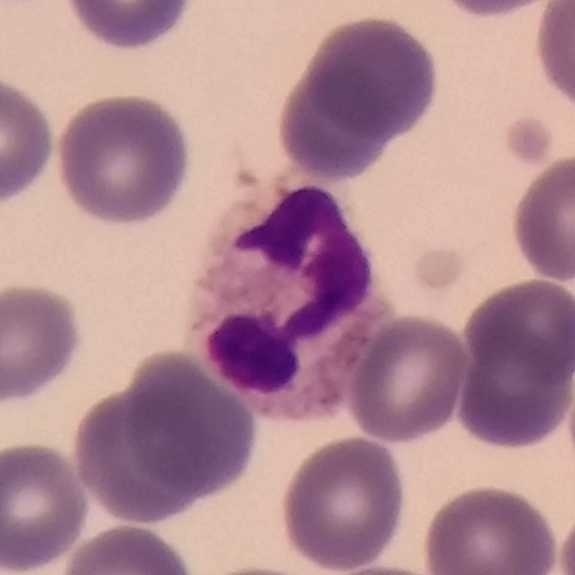Q: Which type of white blood cell is this?
A: This is a neutrophil granulocyte.